Peripheral blood smear: 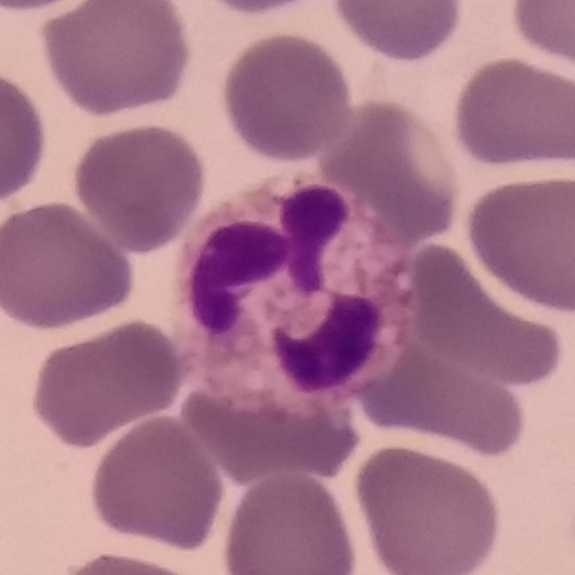Cell type: neutrophil granulocyte.